Smartphone camera mounted on the microscope eyepiece; peripheral blood smear
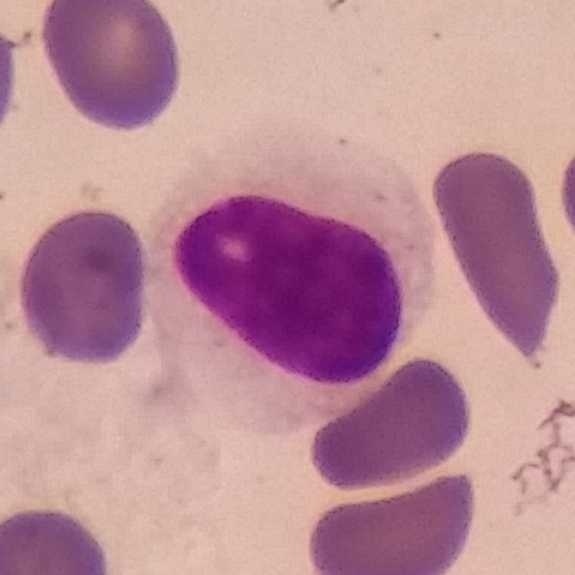

A lymphocyte.